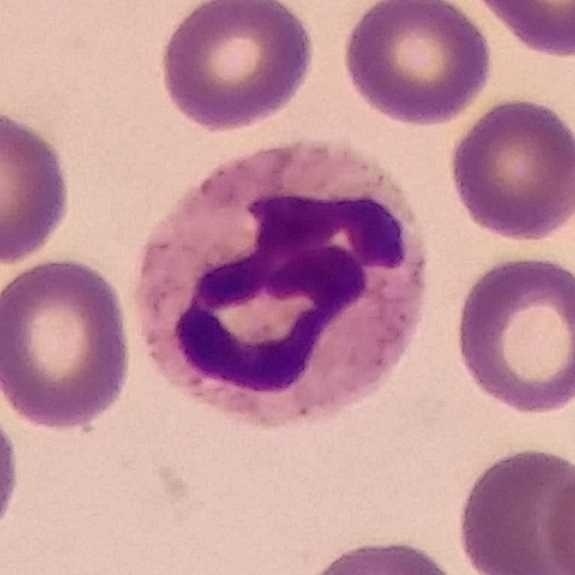Morphology consistent with a neutrophil. Acquisition: Peripheral blood smear.